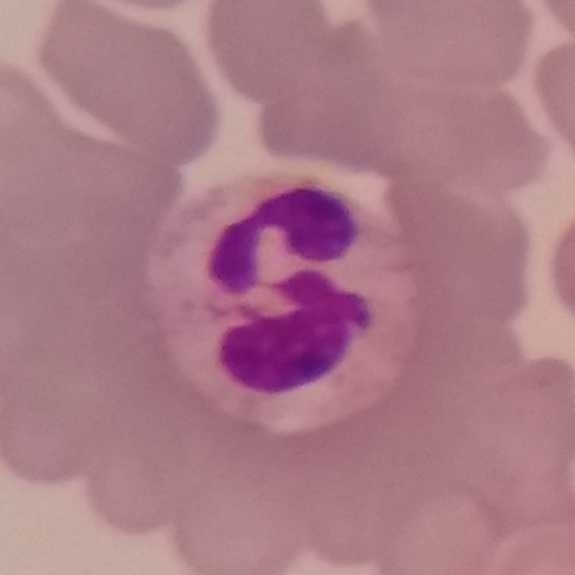

Specimen: peripheral blood smear.
Cell type: neutrophilic granulocyte.